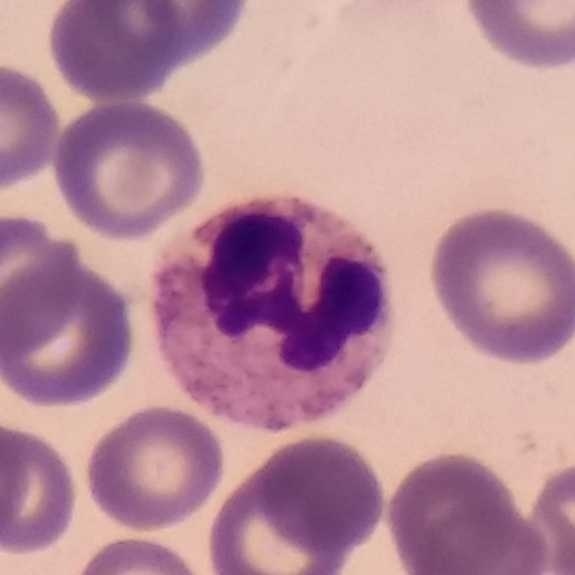

The cell shown is a neutrophil granulocyte.
Context: Peripheral blood smear · image size 575×575.